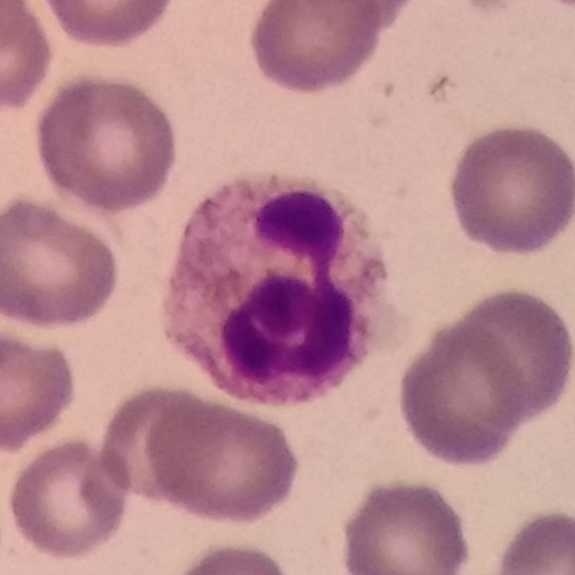

Giemsa-stained. Imaged at 100×. Specimen: peripheral blood film.
Cell type: neutrophilic granulocyte.